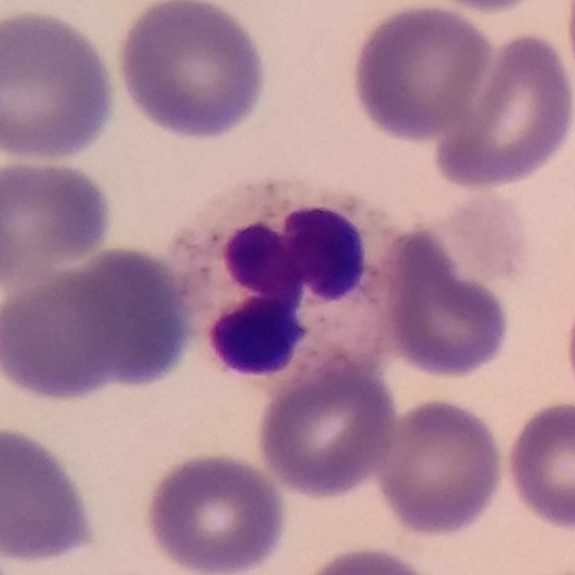

Q: Which cell type is shown here?
A: A neutrophilic granulocyte.